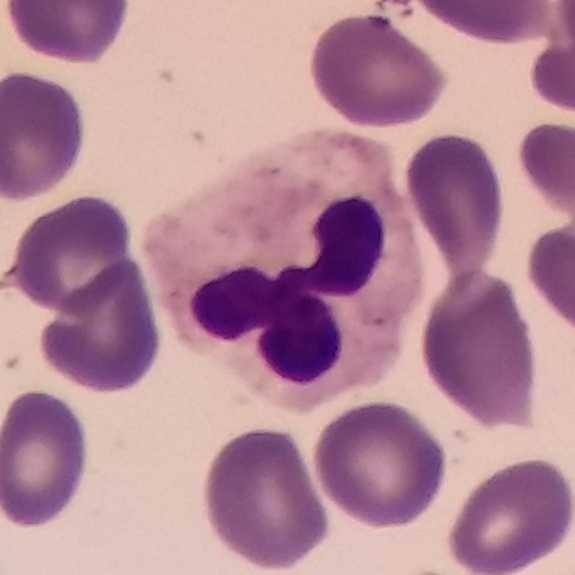The classification is neutrophilic granulocyte.